Peripheral blood smear; smartphone camera mounted on the microscope eyepiece; imaged at 100× — 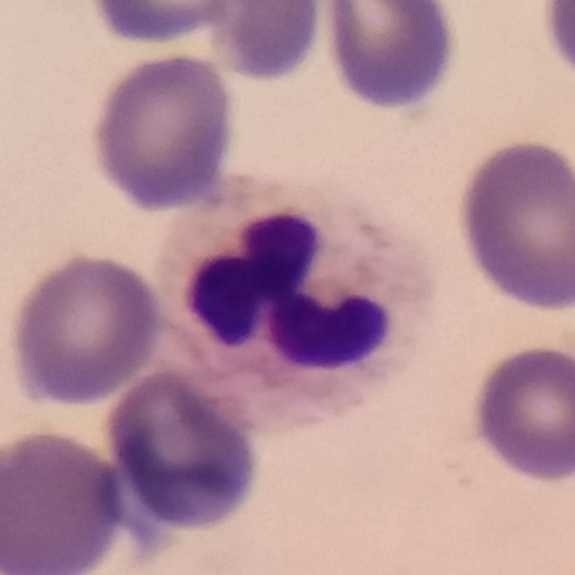

Showing a neutrophil.